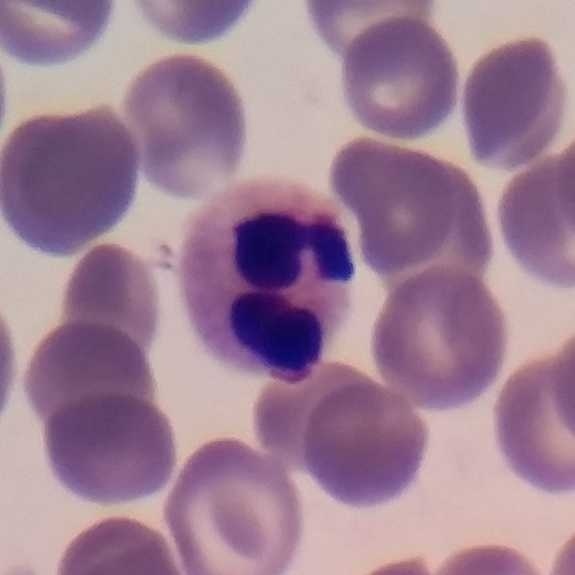

Peripheral blood film. Impression — neutrophil granulocyte.